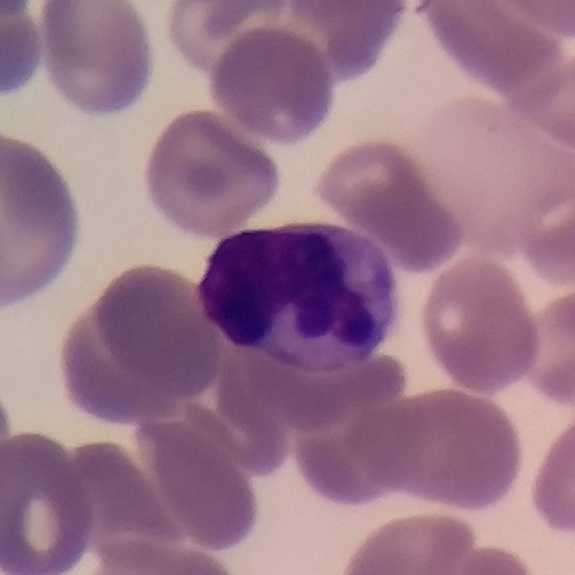Image: Peripheral blood smear.
Q: Which cell type is shown here?
A: Lymphocyte.